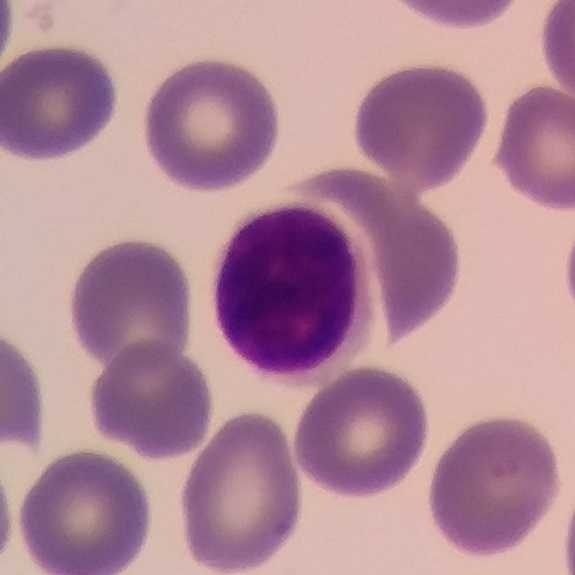

The cell shown is a lymphocyte.

Preparation: Photographed through a light microscope with a smartphone camera · peripheral blood film · single white blood cell cropped from the smear photograph.